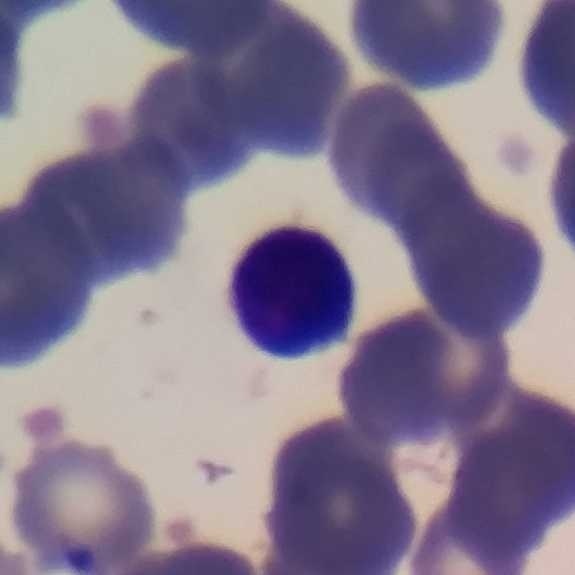Context: Peripheral blood film.

Cell = lymphocyte.